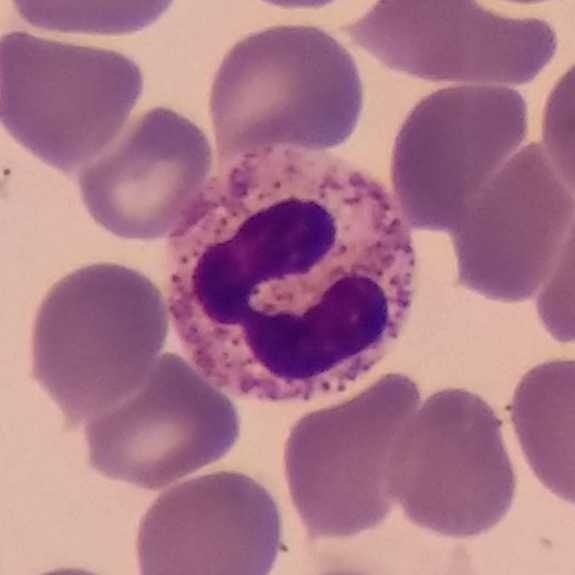 Peripheral blood smear.

Morphology — neutrophil granulocyte.